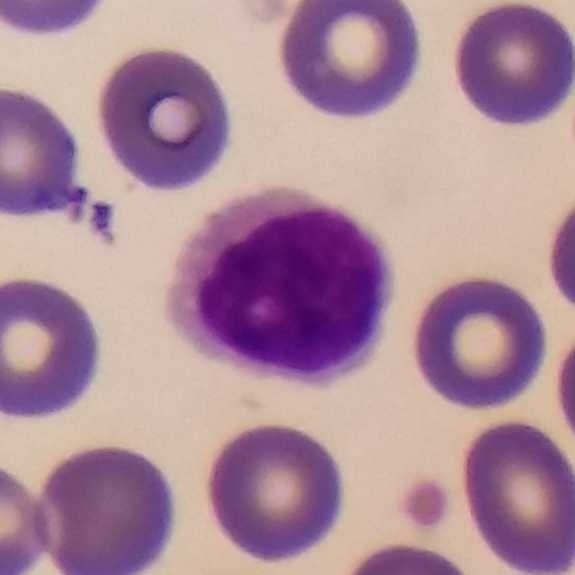Cell: lymphocyte.
Acquisition: Smartphone camera mounted on the microscope eyepiece · Giemsa stain · peripheral blood film.